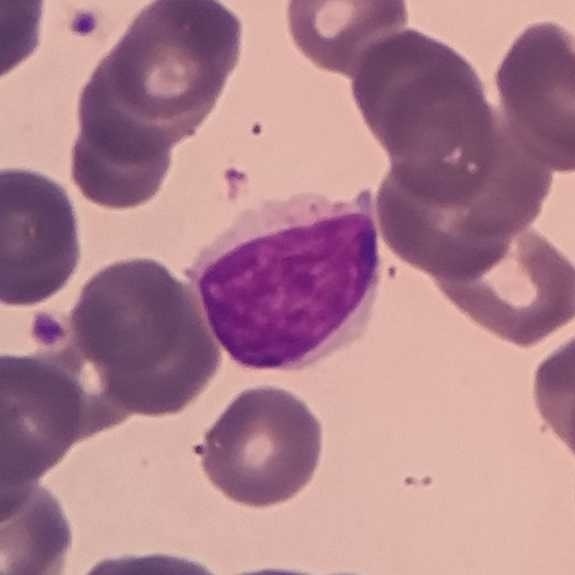Acquisition: Peripheral blood film; magnification 100×. Morphology consistent with a lymphocyte.